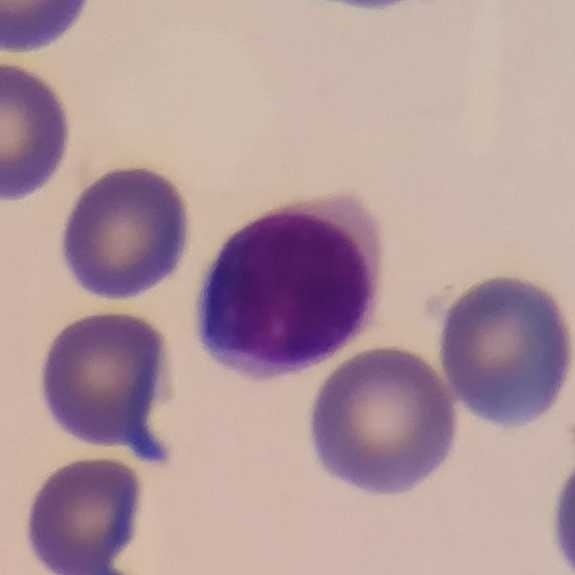
Peripheral blood film. 575×575 px. Showing a lymphocyte.